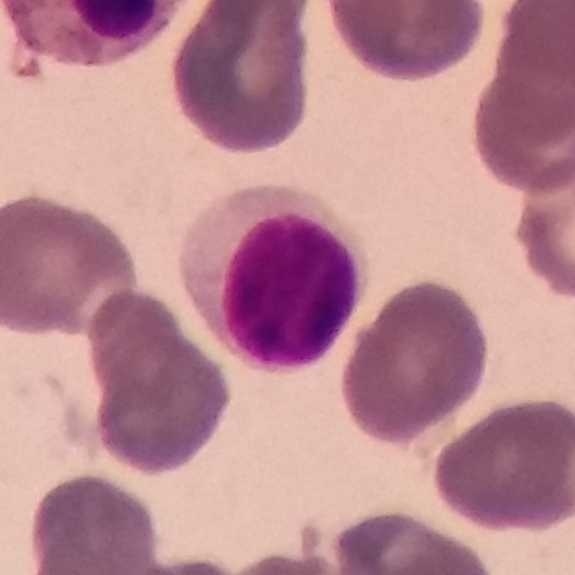 Specimen: peripheral blood smear.
White blood cell type: lymphocyte.